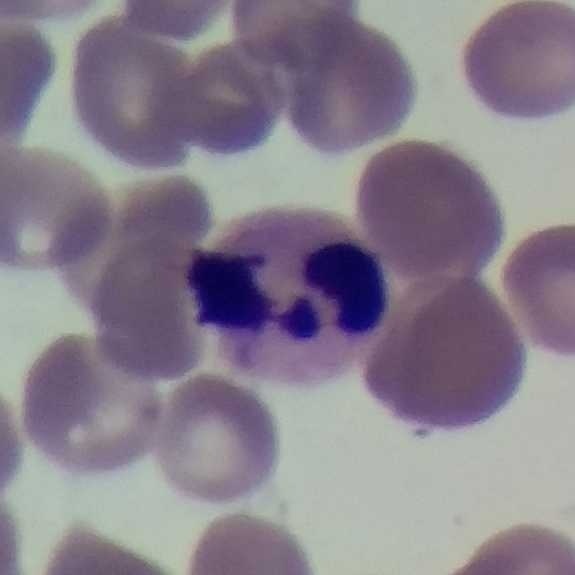
Impression — neutrophilic granulocyte.
Peripheral blood film.